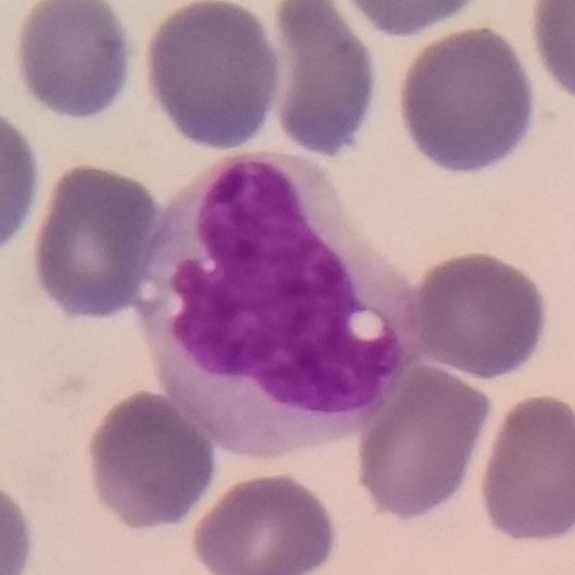
Morphological class: monocyte. Preparation: Peripheral blood film.